Phone-camera image taken through the microscope ocular · peripheral blood smear:
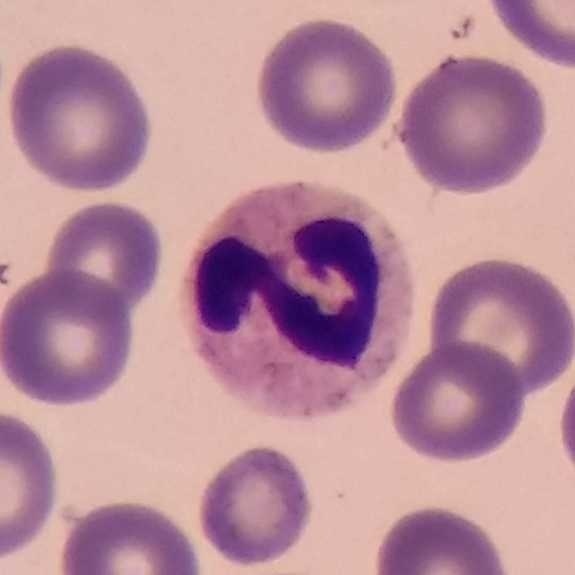
Q: What is the morphological classification of this cell?
A: A neutrophil granulocyte.